Image size 575×575; peripheral blood smear: 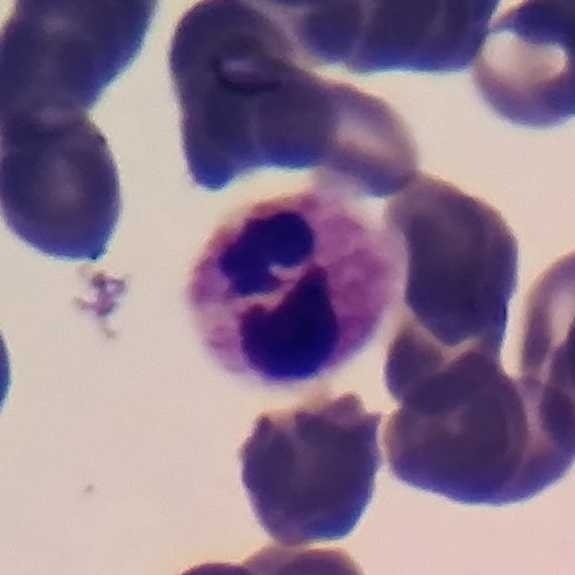 Cell type: neutrophil.